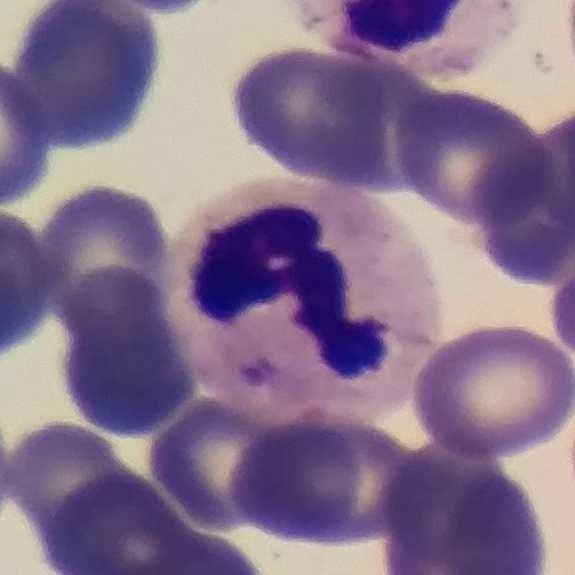

Specimen: peripheral blood smear.
Classification: neutrophil granulocyte.